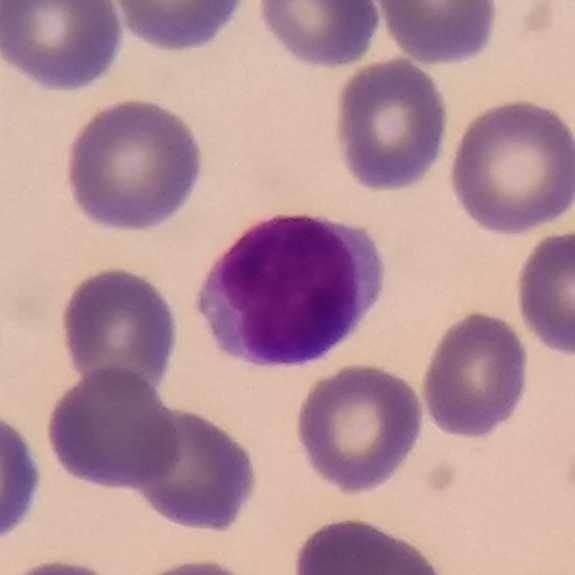
Q: What is shown here?
A: A lymphocyte.
575 by 575 pixels · peripheral blood smear · single-cell field.